Peripheral blood smear:
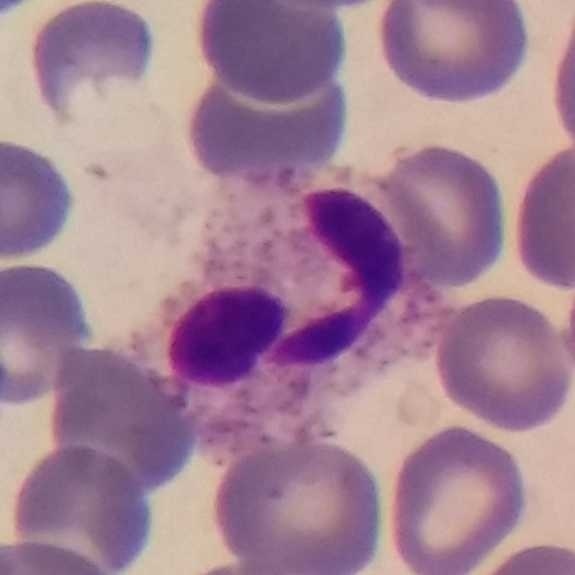

{"cell_type": "neutrophil granulocyte", "lineage": "myeloid"}